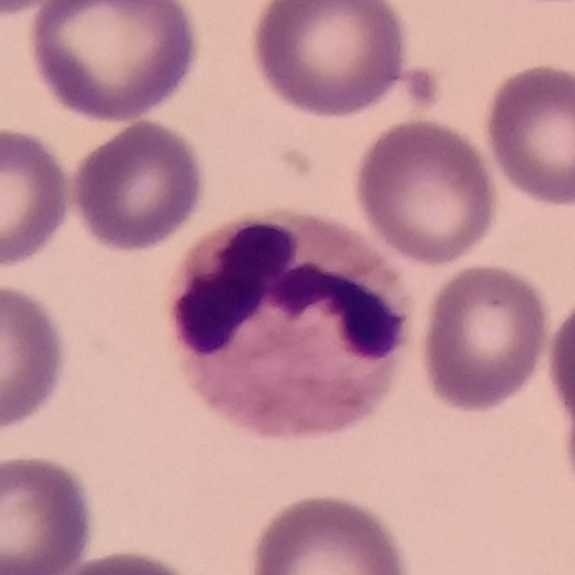 Single-cell crop from a peripheral blood smear: neutrophil.